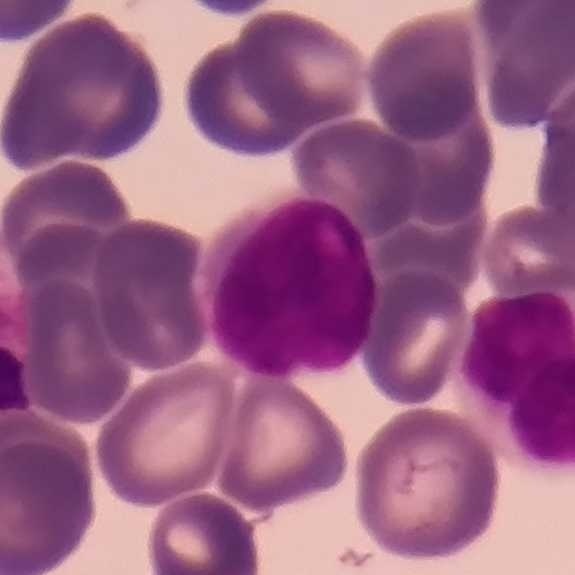
Specimen: peripheral blood smear.
Classification: lymphocyte.
Lineage: lymphoid.